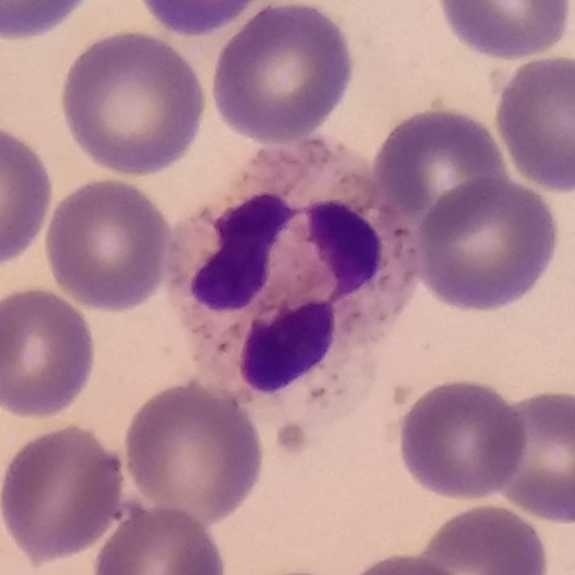

Q: Identify the cell.
A: It is a neutrophil.

Acquisition: Peripheral blood smear. 575×575 px.